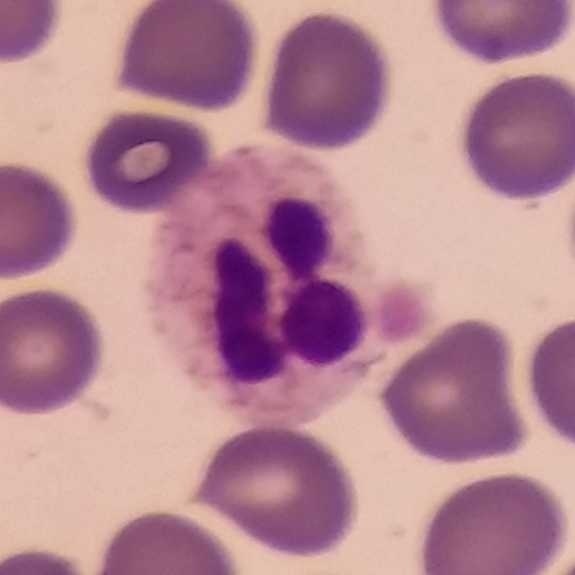

{"cell_type": "neutrophil granulocyte"}